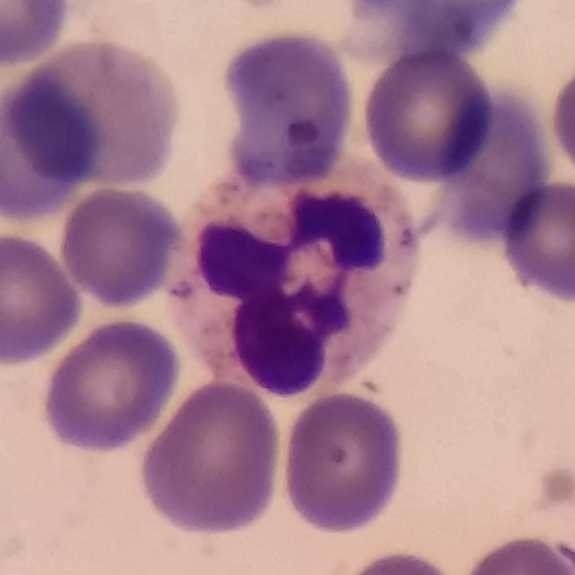 Context: Peripheral blood smear.
{"cell_type": "neutrophil"}